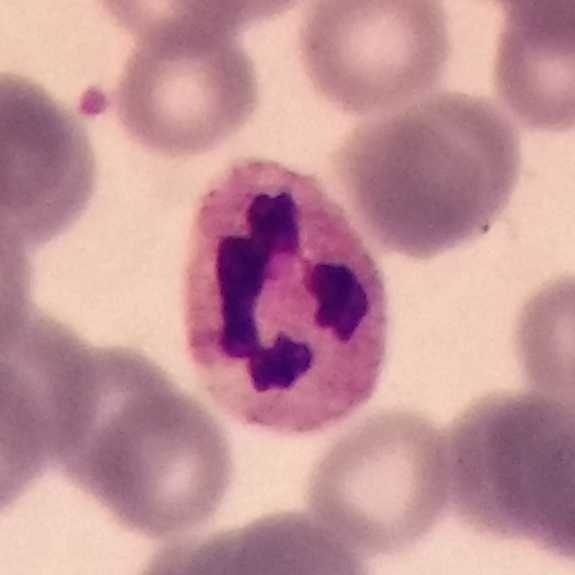

Preparation: Peripheral blood film. {"cell_type": "neutrophil granulocyte", "lineage": "myeloid"}